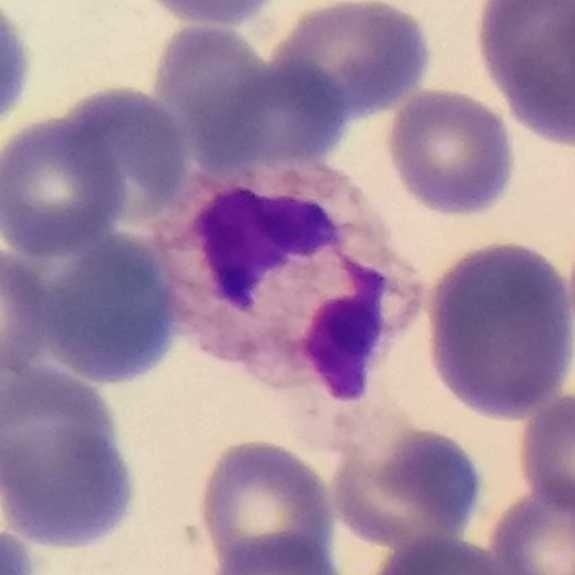
Peripheral blood smear.
Q: Which type of white blood cell is this?
A: A neutrophil.